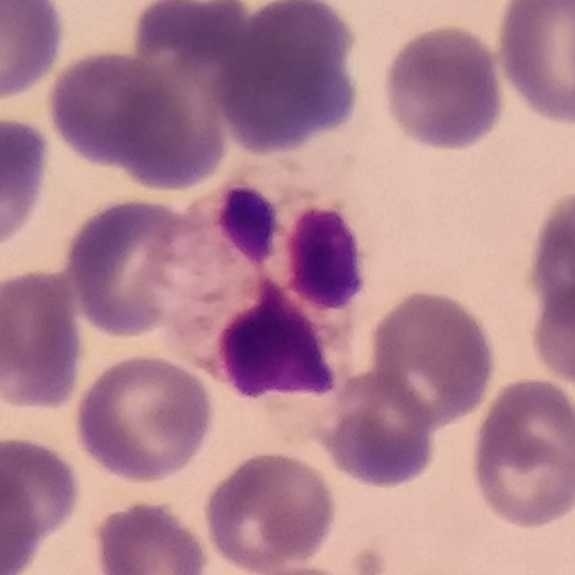Stained with Giemsa · peripheral blood film · single white blood cell cropped from the smear photograph. Cell type = neutrophil granulocyte.